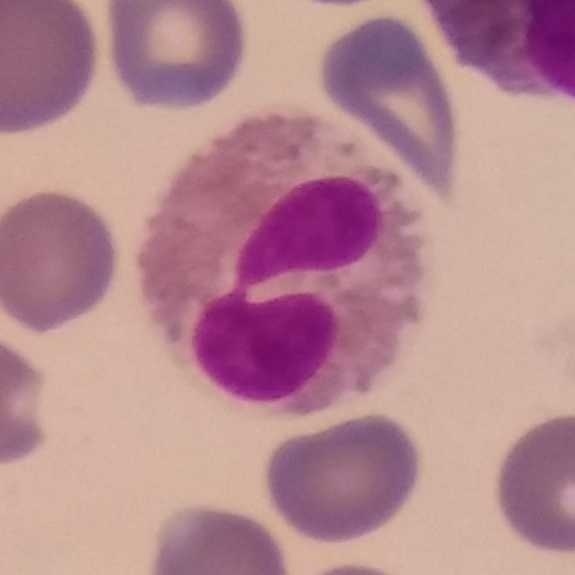 Image: Peripheral blood film; phone-camera image taken through the microscope ocular.

Cell — eosinophil.